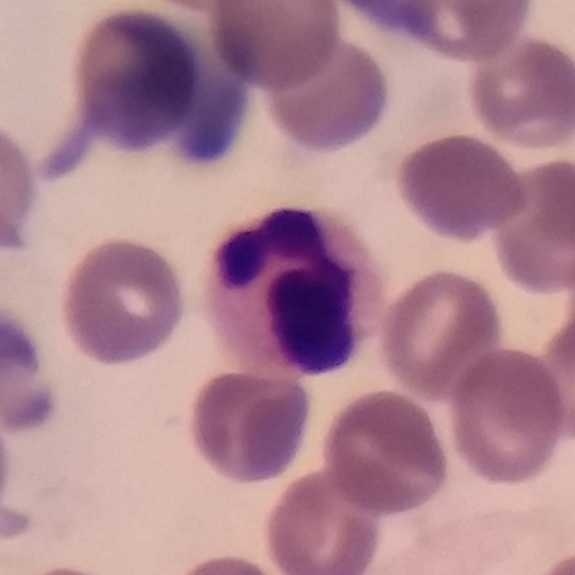Specimen: peripheral blood smear.
White blood cell type: neutrophilic granulocyte.
Lineage: myeloid.

Image: 575 by 575 pixels.